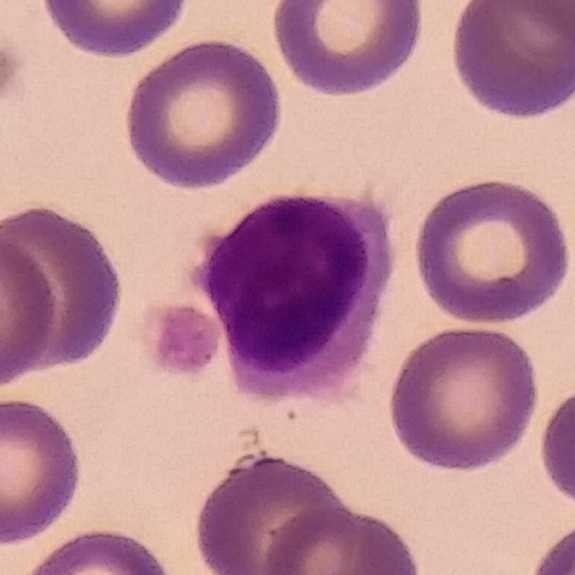

Context: 575 by 575 pixels. Peripheral blood smear.

Cell type — lymphocyte.